Peripheral blood film: 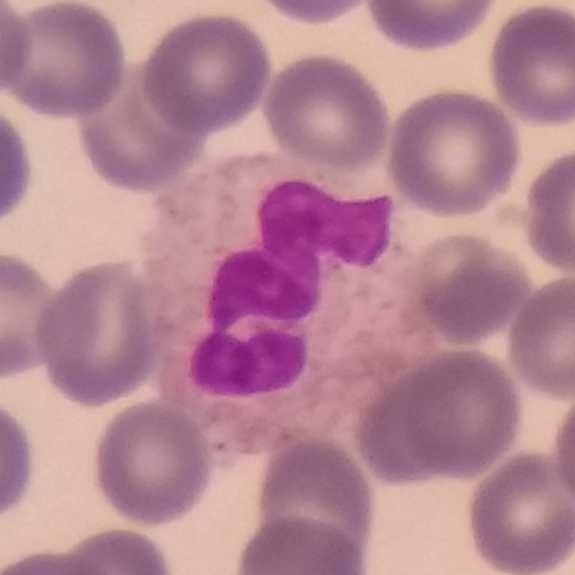

Q: Which type of white blood cell is this?
A: This is a neutrophil.